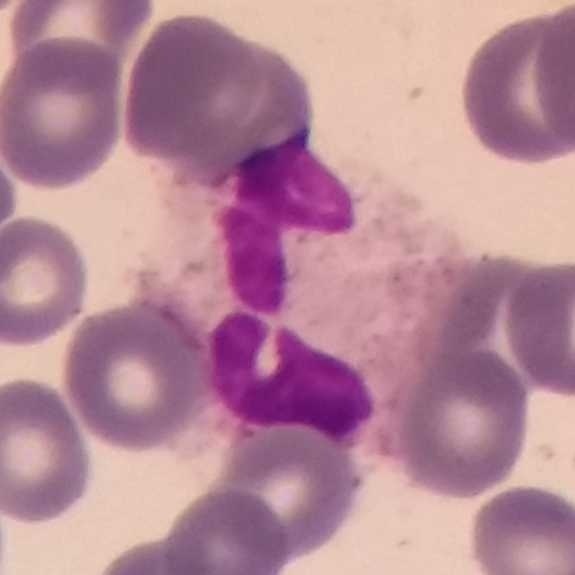
Context: Cropped to one leukocyte. Specimen: peripheral blood film.
Morphological class: neutrophilic granulocyte.